Imaged at 100× · Giemsa-stained · peripheral blood film: 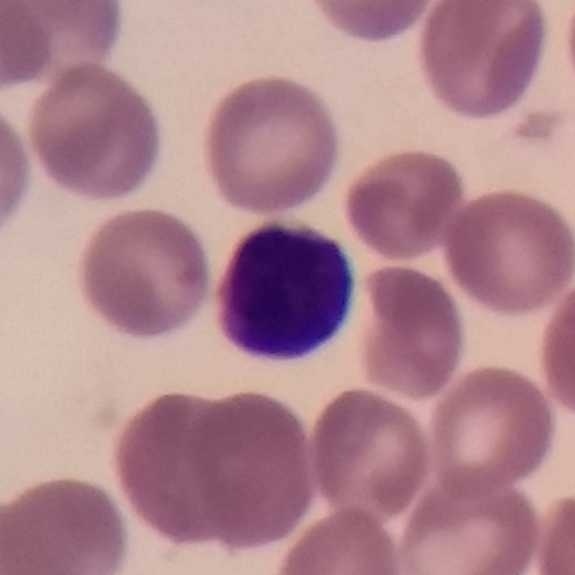Specimen: peripheral blood smear.
Cell type: lymphocyte.